Peripheral blood smear — 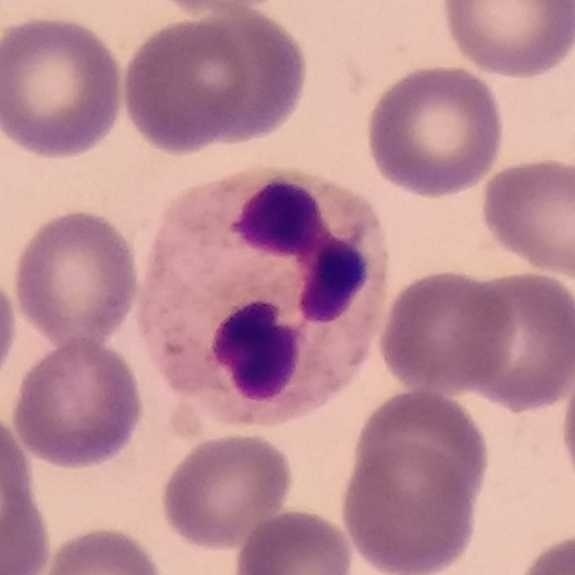This is a neutrophil granulocyte.